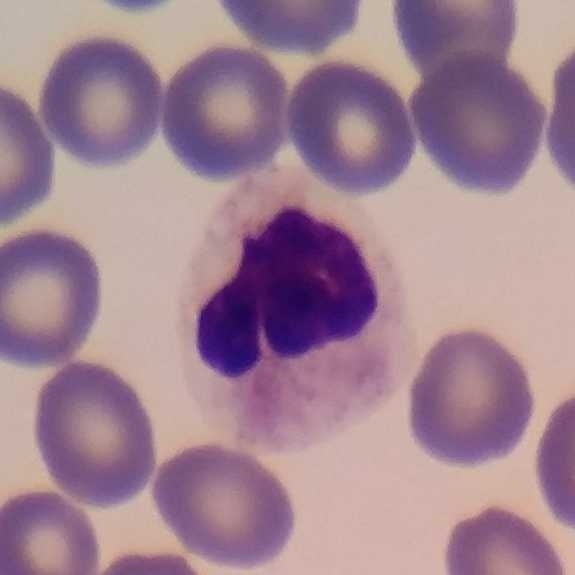

From a peripheral blood smear: a neutrophil.